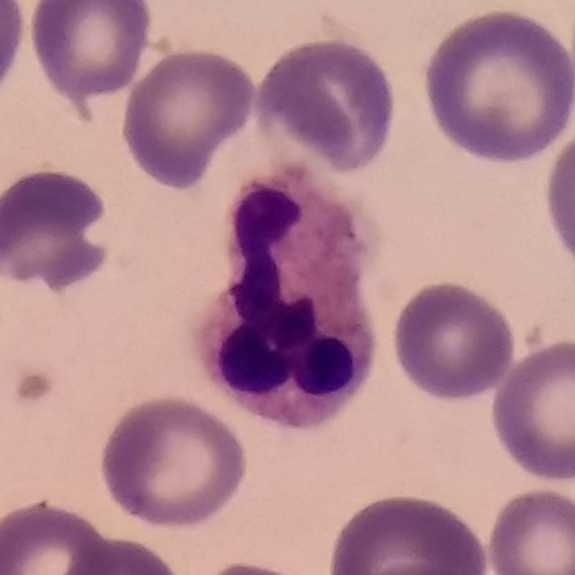

Specimen: peripheral blood film.
White blood cell type: neutrophil granulocyte.

Single white blood cell cropped from the smear photograph.